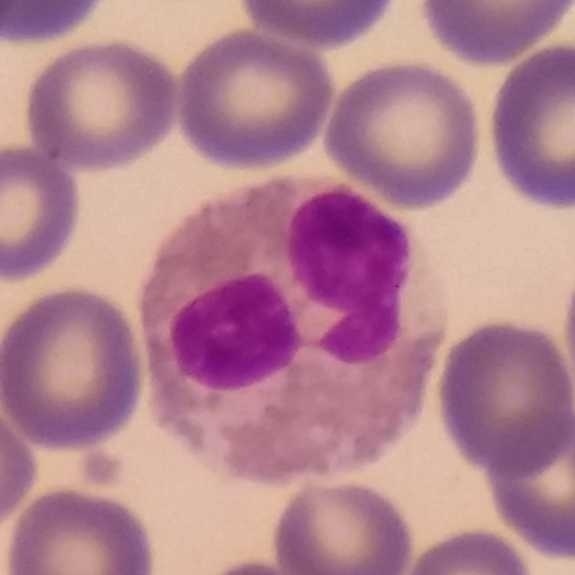 White blood cell from a peripheral blood smear: eosinophilic granulocyte.